Peripheral blood film · 100× magnification: 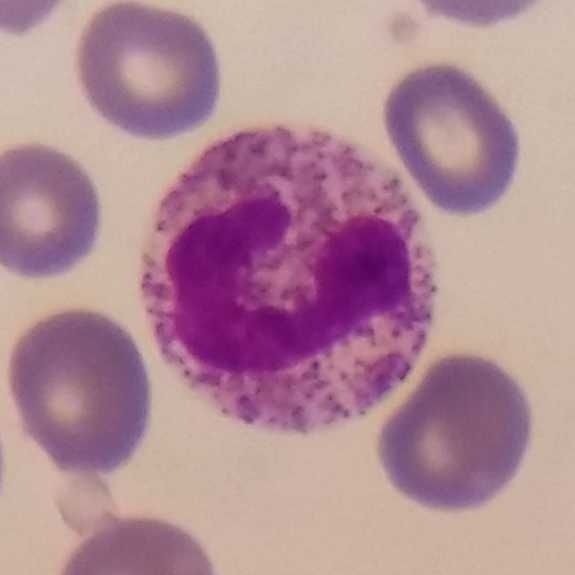

Cell — eosinophil.